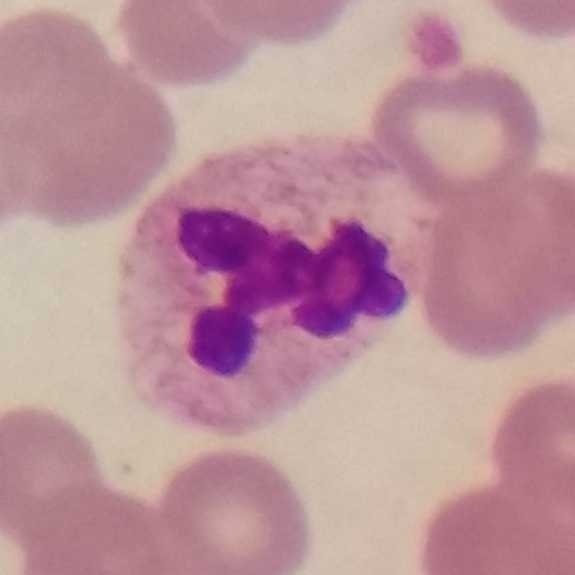

White blood cell from a peripheral blood smear: neutrophilic granulocyte.